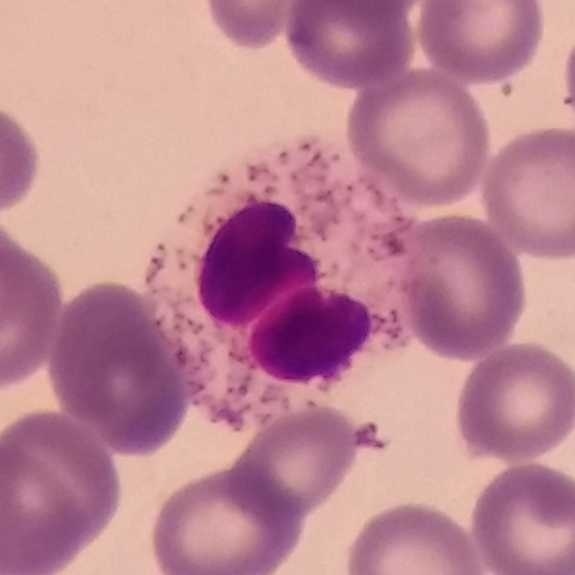

The cell type is neutrophil.

Context: 575×575 px; peripheral blood film.